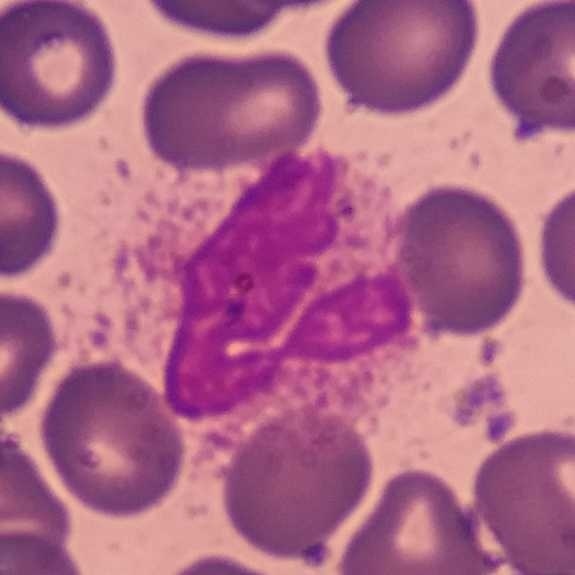 A neutrophil on a peripheral blood smear.